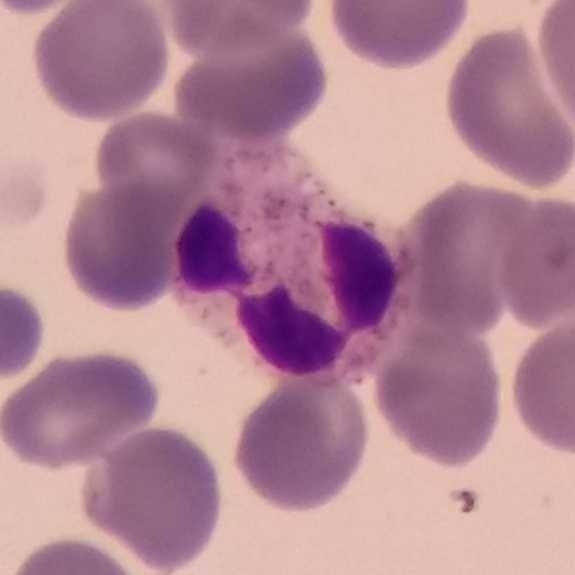This is a neutrophilic granulocyte.